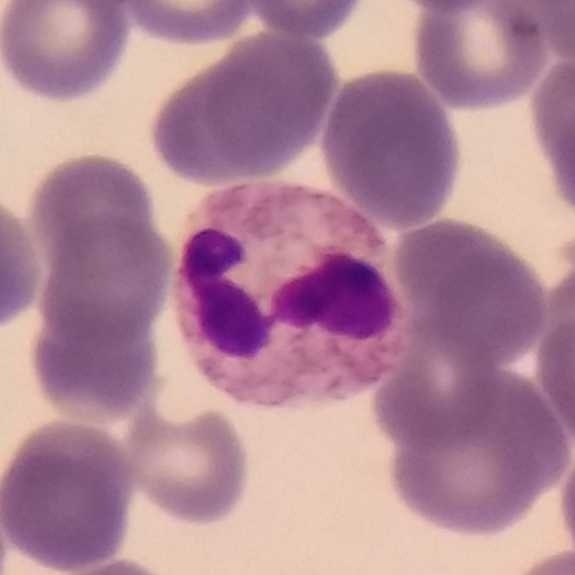Morphology → neutrophil granulocyte.
Acquisition: Photographed through a light microscope with a smartphone camera. Peripheral blood smear. Stained with Giemsa.